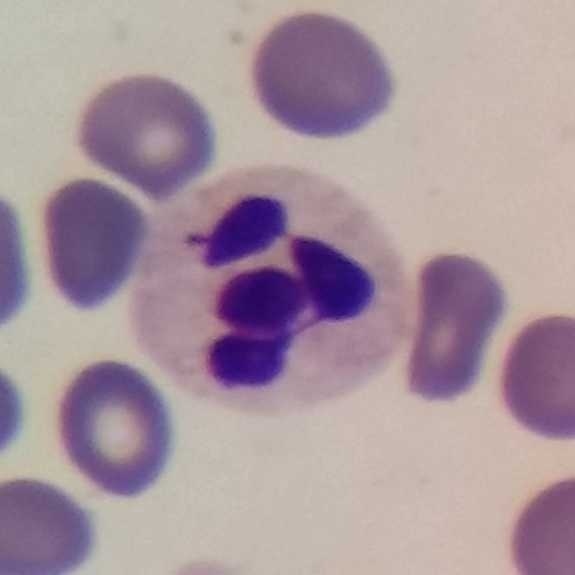
Identified as a neutrophilic granulocyte.
Image: Peripheral blood smear.